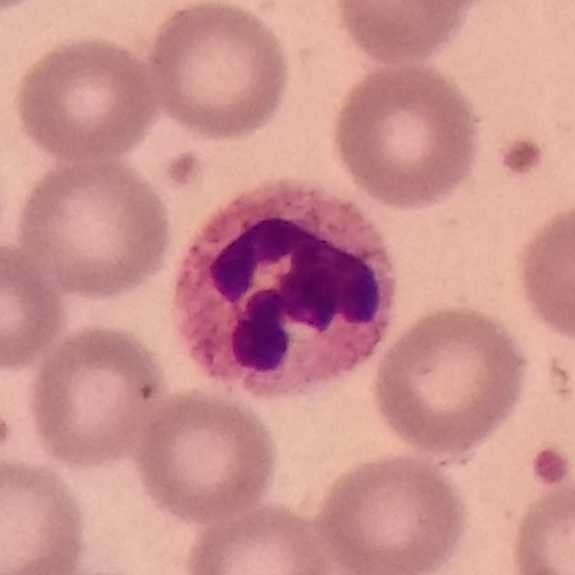 Specimen: peripheral blood film.
Classification: neutrophilic granulocyte.
Lineage: myeloid.